Peripheral blood film — 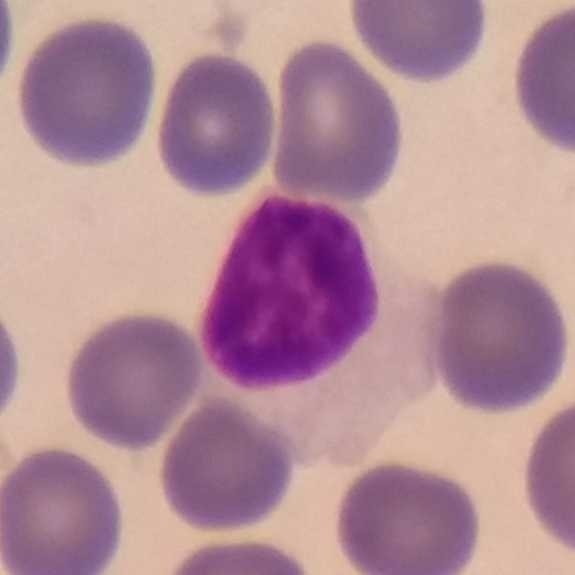 Morphology consistent with a lymphocyte.